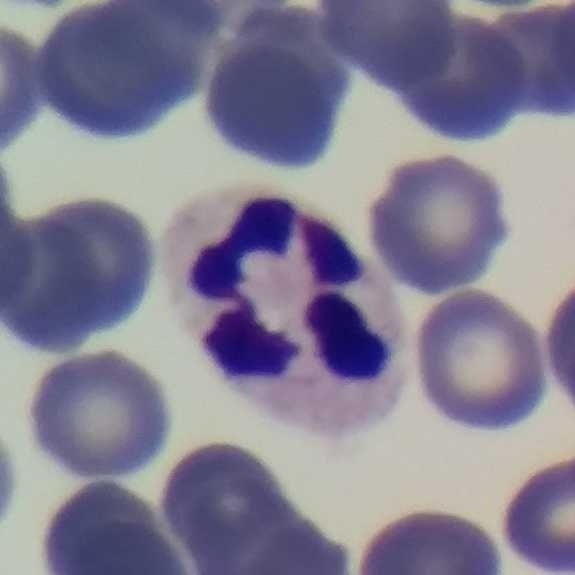

Image: Smartphone camera mounted on the microscope eyepiece; 575×575; peripheral blood film.

Q: What type of cell is this?
A: A neutrophil.